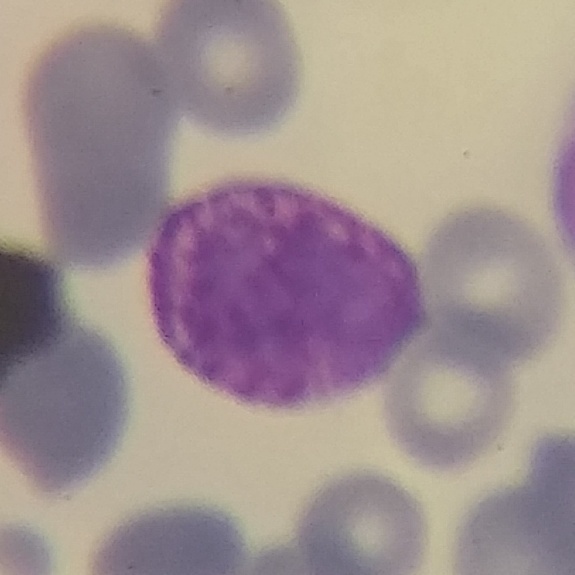
Morphology → basophilic granulocyte.

575 by 575 pixels. Peripheral blood film.